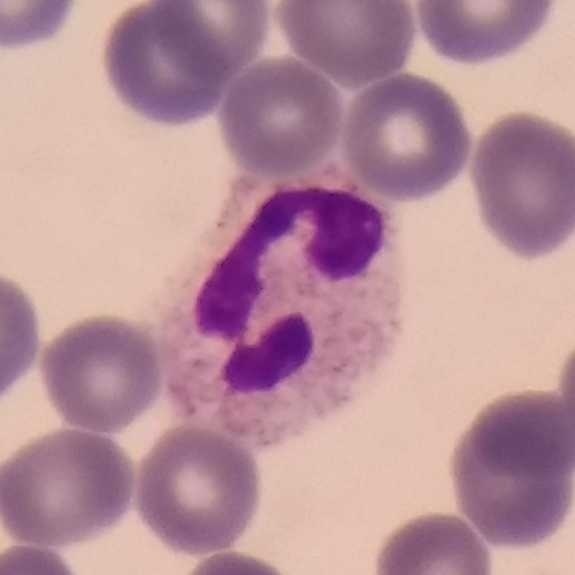 Q: Classify this leukocyte.
A: Neutrophilic granulocyte. Context: 575×575. Peripheral blood film.